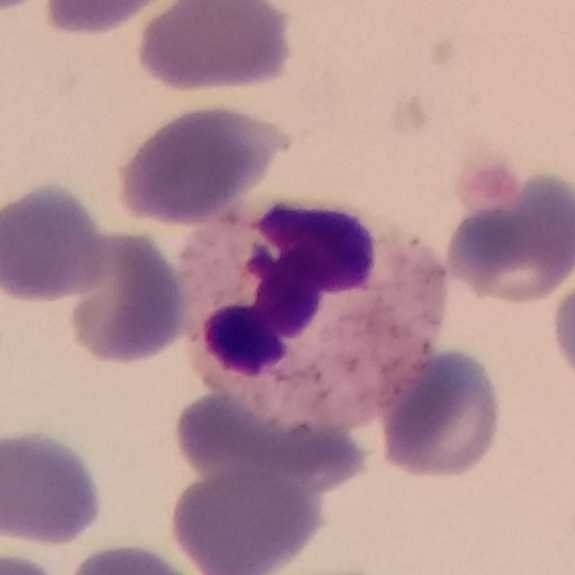

Photographed through a light microscope with a smartphone camera. Peripheral blood film.
Classification: neutrophil granulocyte.